575×575 · single-cell crop · peripheral blood smear.
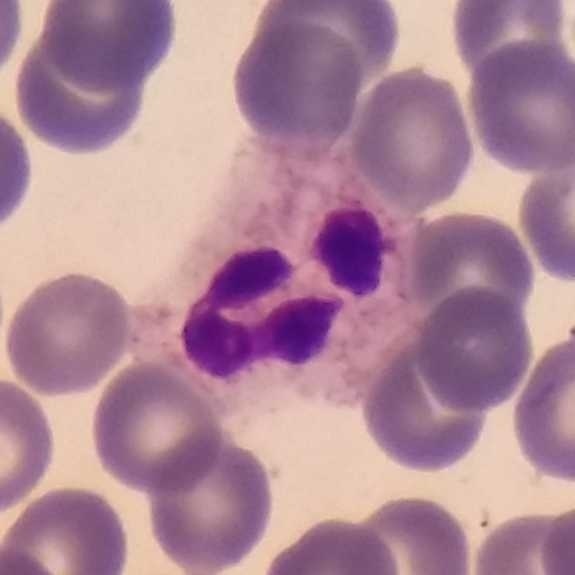 Q: What is shown here?
A: A neutrophilic granulocyte.